Peripheral blood smear. Single white blood cell cropped from the smear photograph:
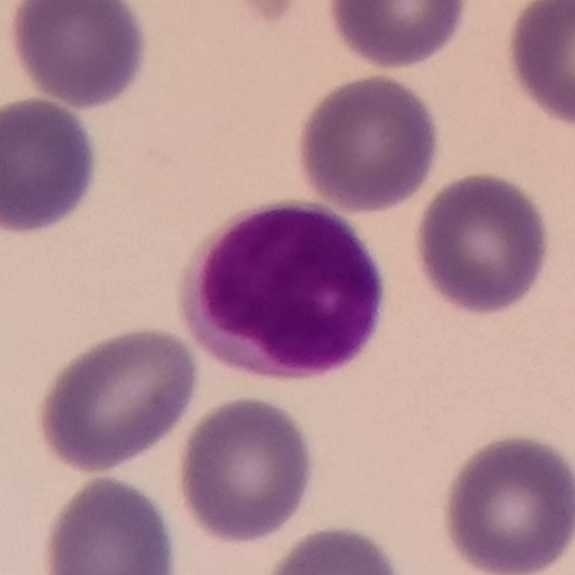 This is a lymphocyte.